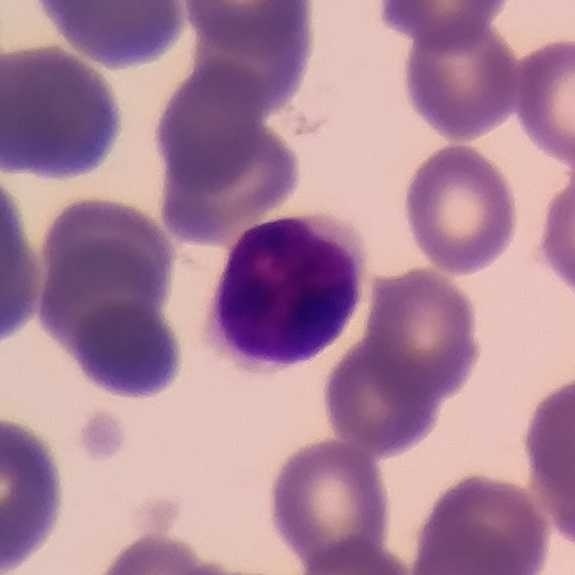Peripheral blood smear · Giemsa stain · imaged at 100×.

Cell — lymphocyte.